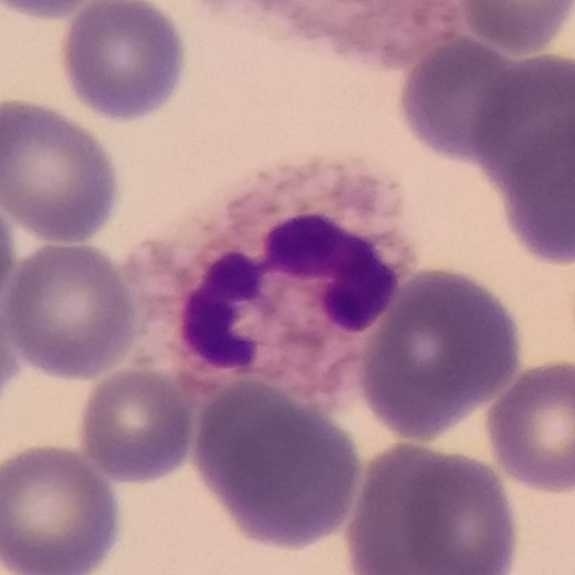 Specimen: peripheral blood film.
Classification: neutrophilic granulocyte.
Lineage: myeloid.